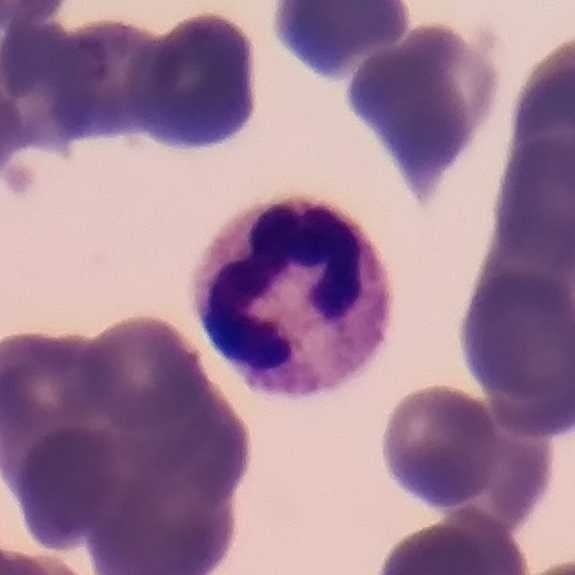
The cell type is neutrophilic granulocyte.

575×575; peripheral blood film.